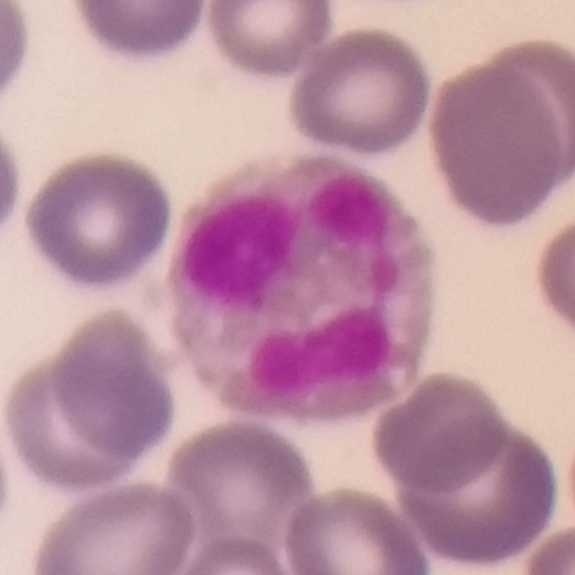
White blood cell type — eosinophilic granulocyte.
Peripheral blood film. Smartphone photomicrograph. Single-cell crop.